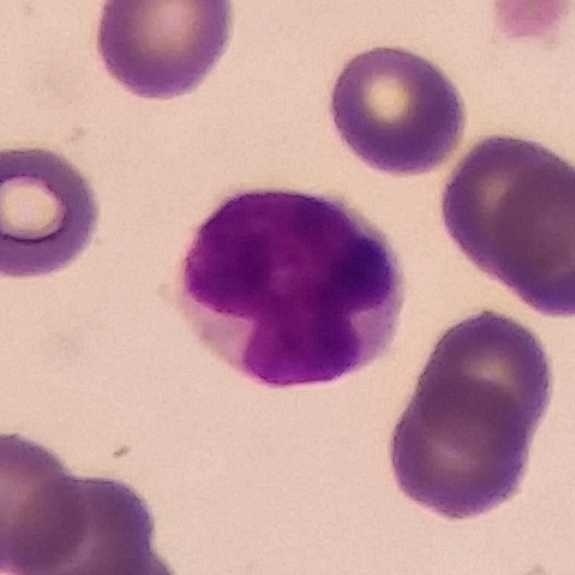 Peripheral blood smear. Photographed through a light microscope with a smartphone camera.

Q: Which cell type is shown here?
A: A lymphocyte.